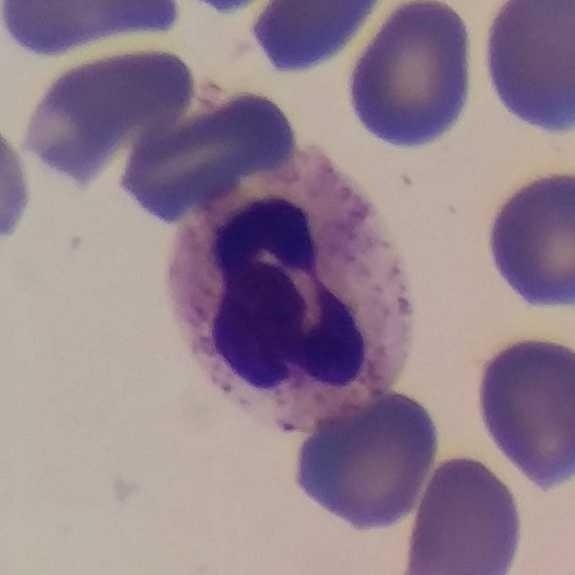 Q: What is shown here?
A: Neutrophilic granulocyte.